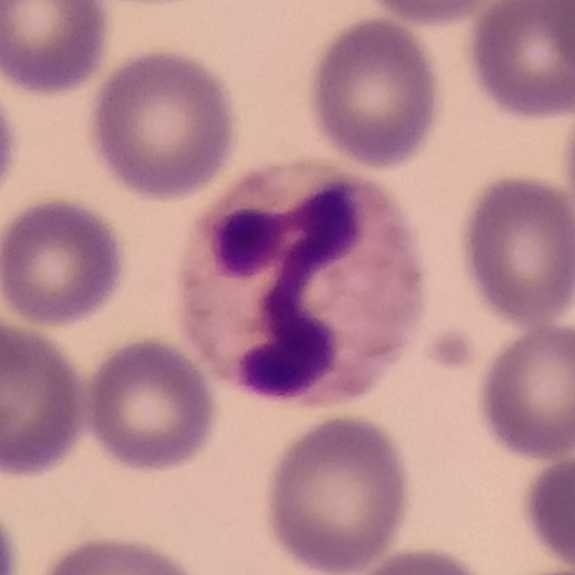Q: What cell is this?
A: A neutrophil.

Preparation: Giemsa-stained; peripheral blood film.